Peripheral blood smear: 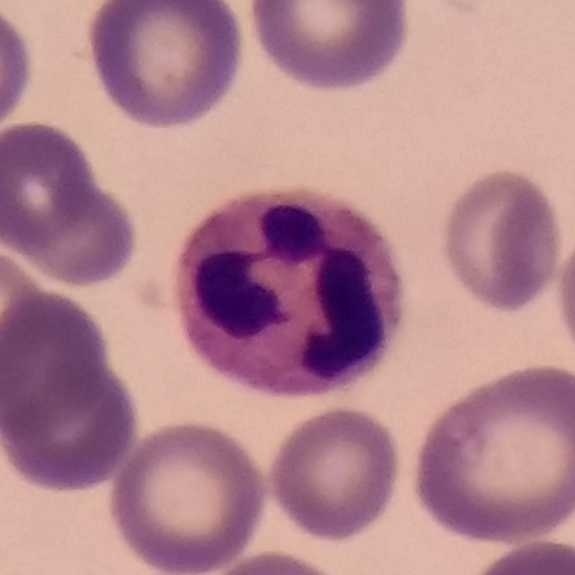 Q: Which type of white blood cell is this?
A: This is a neutrophil granulocyte.